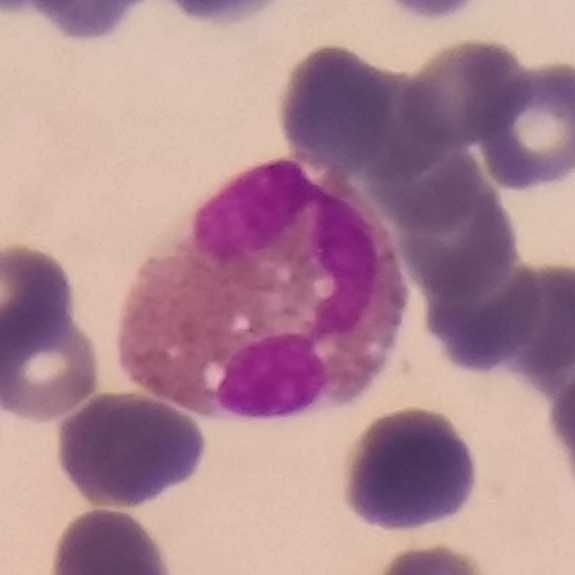

Specimen: peripheral blood film.
White blood cell type: eosinophil.